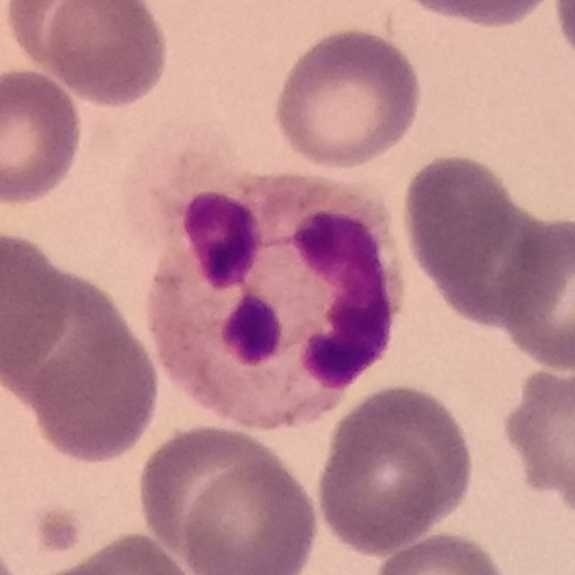

Specimen: peripheral blood film.
Morphological class: neutrophil.